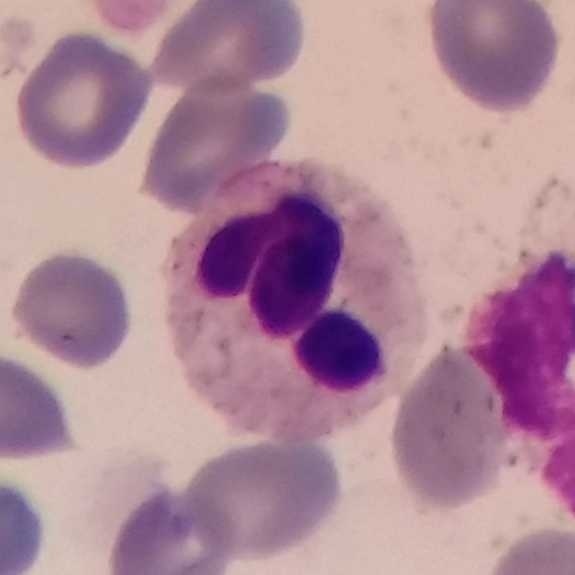Impression — neutrophil granulocyte.